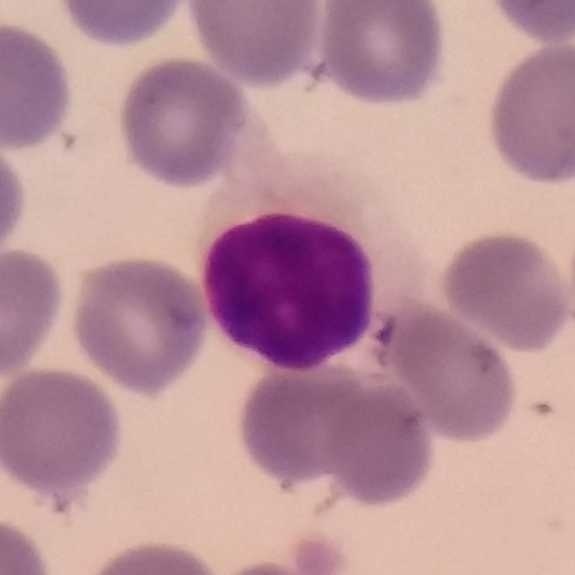
Morphology → lymphocyte. Acquisition: Peripheral blood smear.